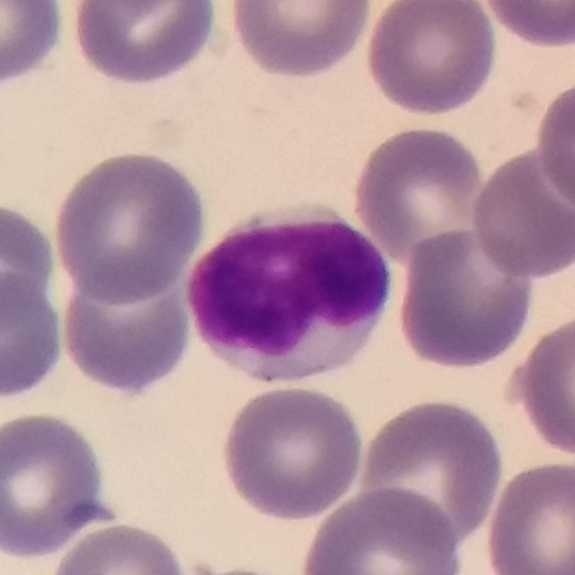A lymphocyte on a peripheral blood smear.